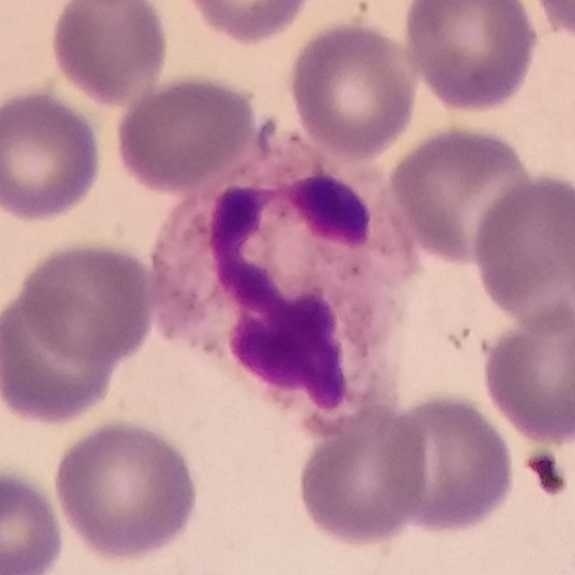
Q: What type of cell is this?
A: Neutrophil. Preparation: 575 by 575 pixels; peripheral blood smear.